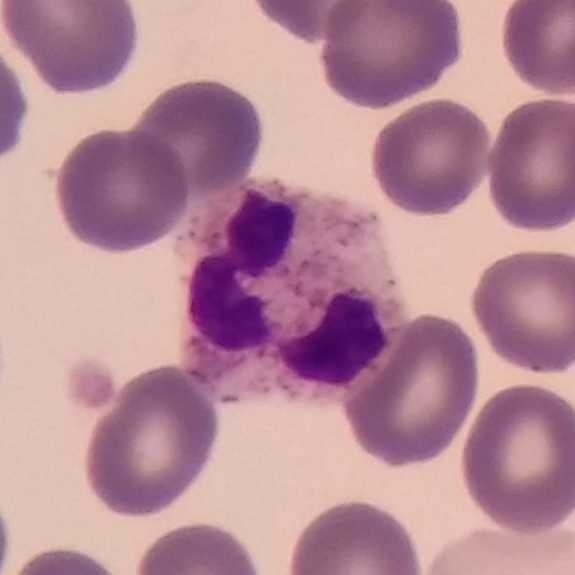 Q: What cell is this?
A: A neutrophil granulocyte.